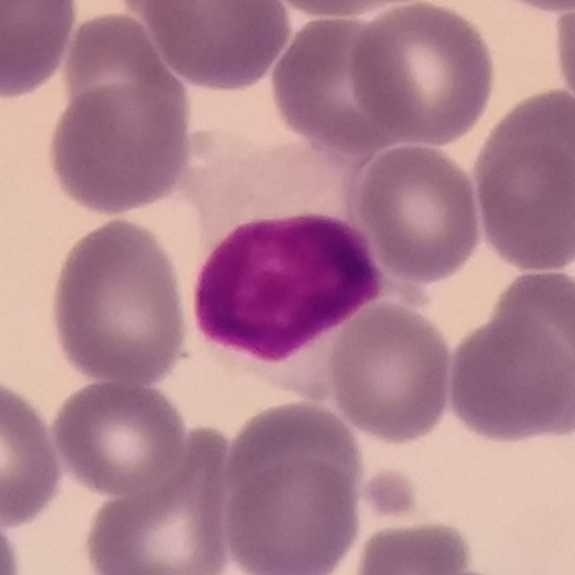Context: Giemsa-stained. Peripheral blood film.

The cell shown is a lymphocyte.